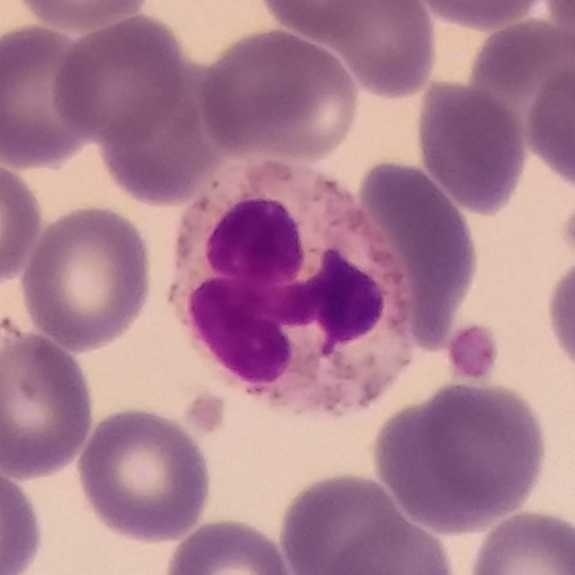Specimen: peripheral blood film.
Morphological class: neutrophilic granulocyte.
Lineage: myeloid.